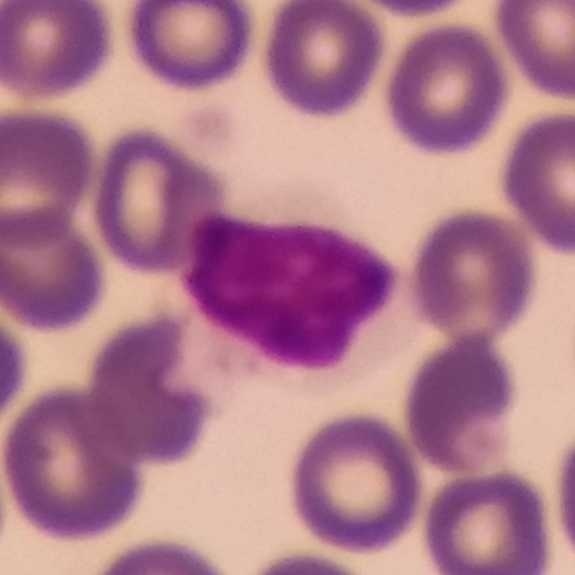
Classification — lymphocyte.
Context: Peripheral blood smear.